Peripheral blood smear. Giemsa stain.
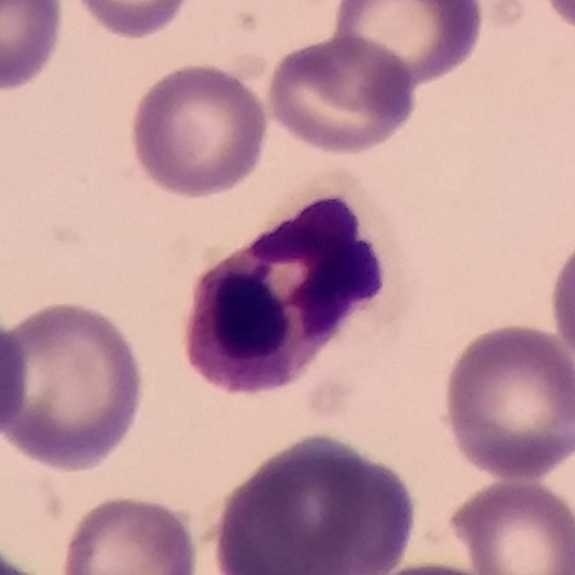Impression — neutrophilic granulocyte.